Single-cell crop · peripheral blood smear — 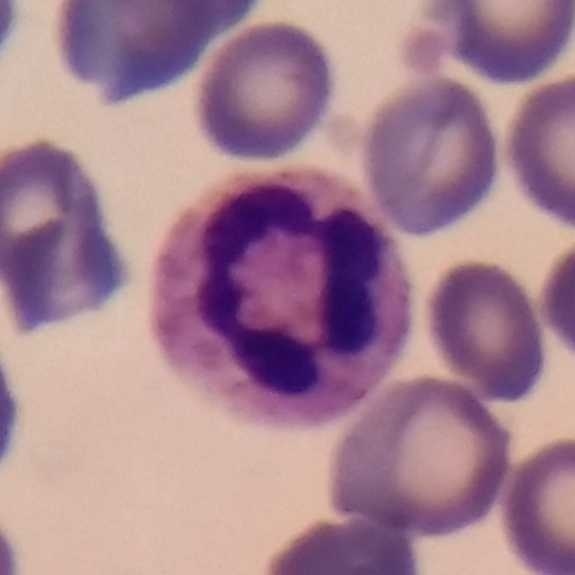 Q: Classify this leukocyte.
A: It is a neutrophil.